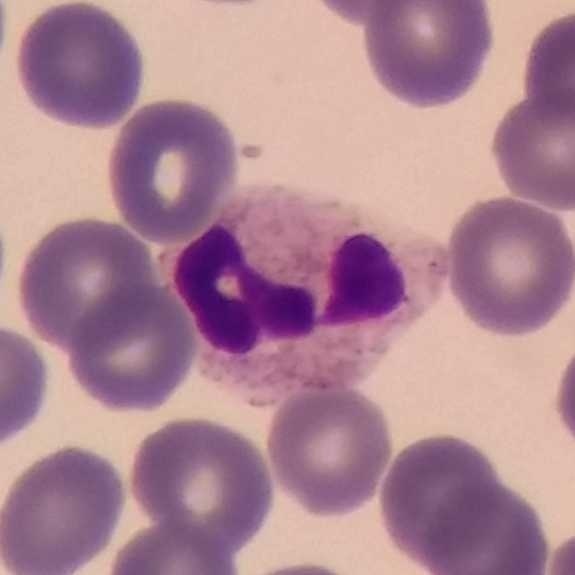Q: What is shown here?
A: It is a neutrophilic granulocyte.
Image: Magnification 100× · peripheral blood film.